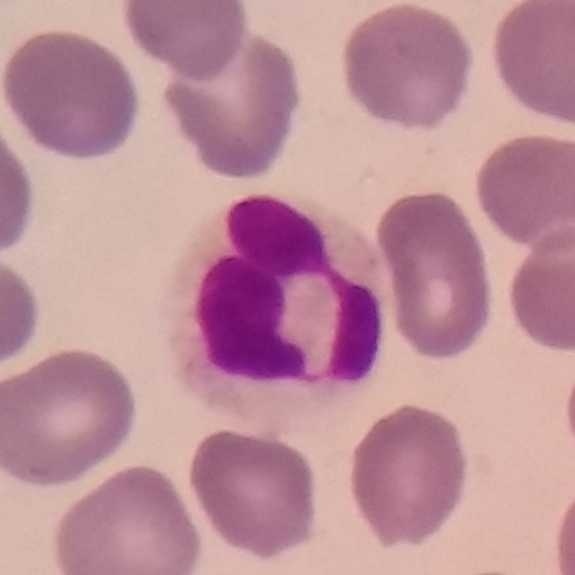

Specimen: peripheral blood smear.
Classification: neutrophilic granulocyte.